Peripheral blood smear. Stained with Giemsa. 575 by 575 pixels — 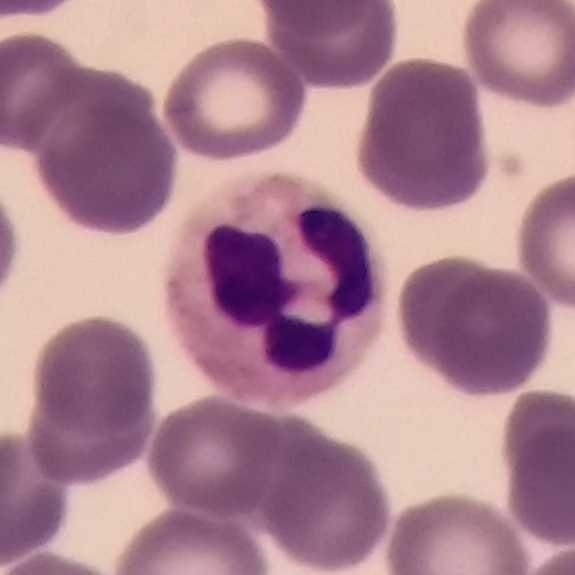 Cell: neutrophilic granulocyte.